Peripheral blood film:
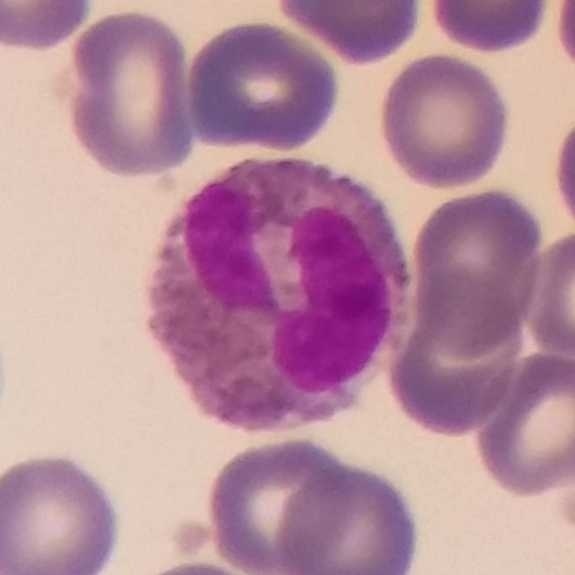
Morphology consistent with an eosinophil.